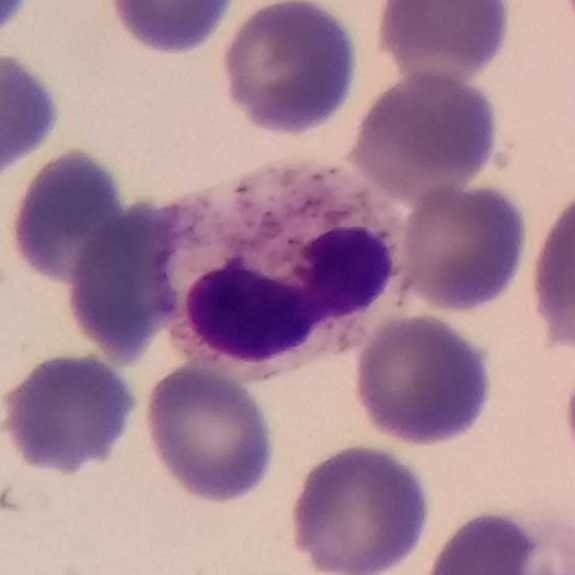 Q: What is shown here?
A: A neutrophil.